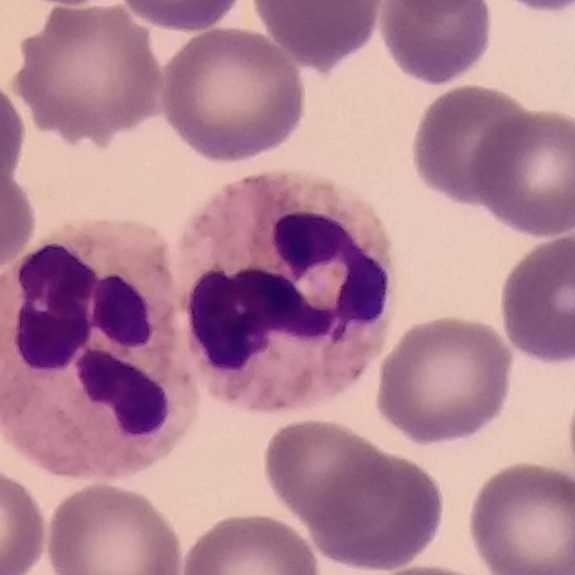
Single cell identified as a neutrophil granulocyte.